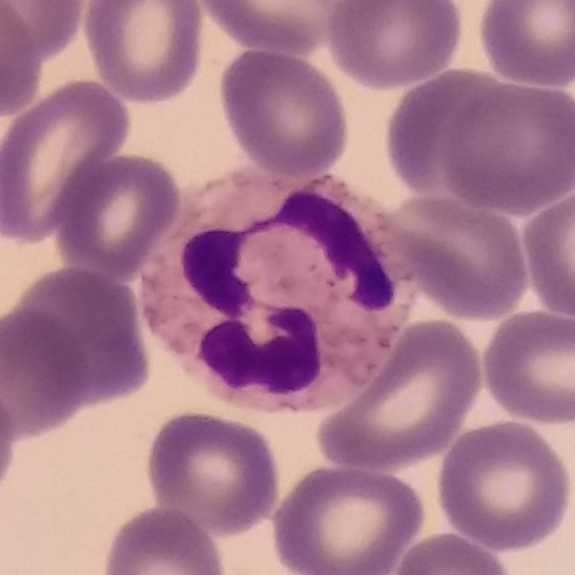
Morphological class = neutrophil.
Peripheral blood smear; stained with Giemsa.